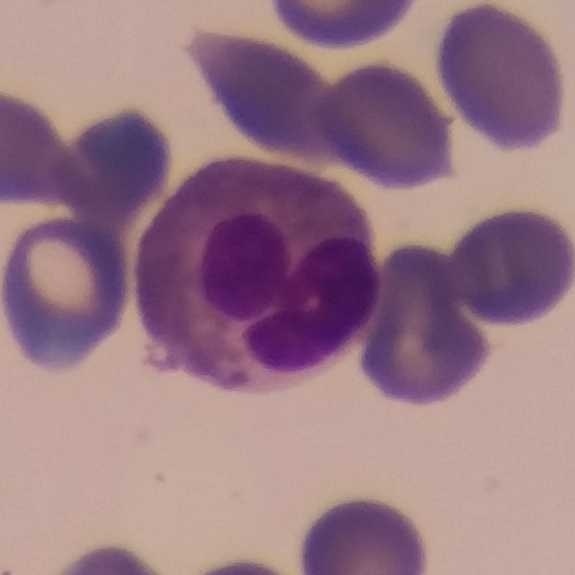

Q: What is shown here?
A: An eosinophilic granulocyte.